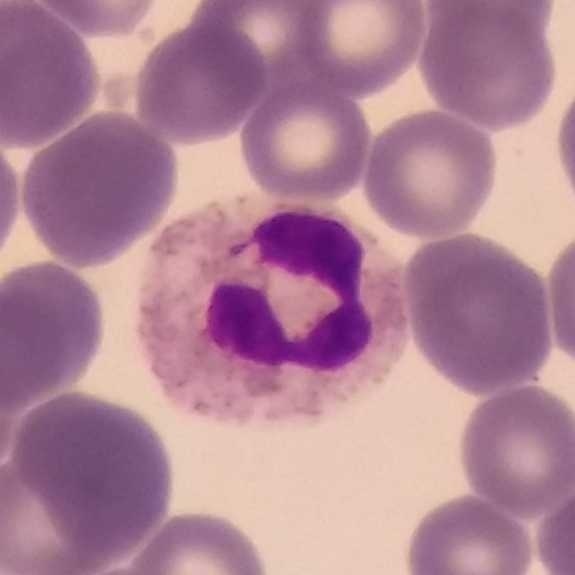{"cell_type": "neutrophil"}
Context: 100× magnification · peripheral blood film.